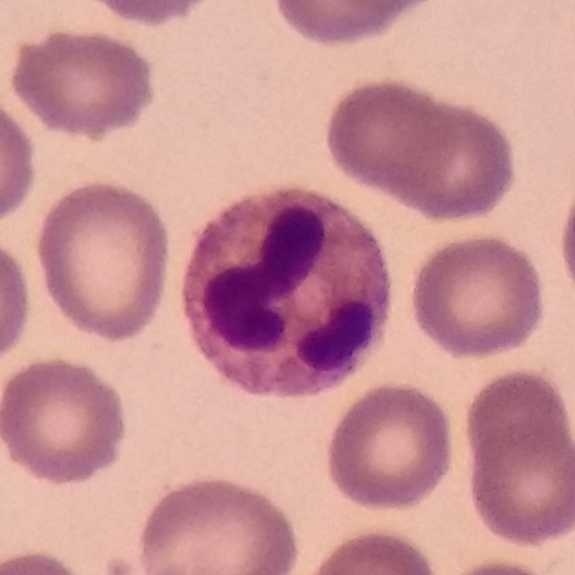
Neutrophil.

Acquisition: Peripheral blood film.